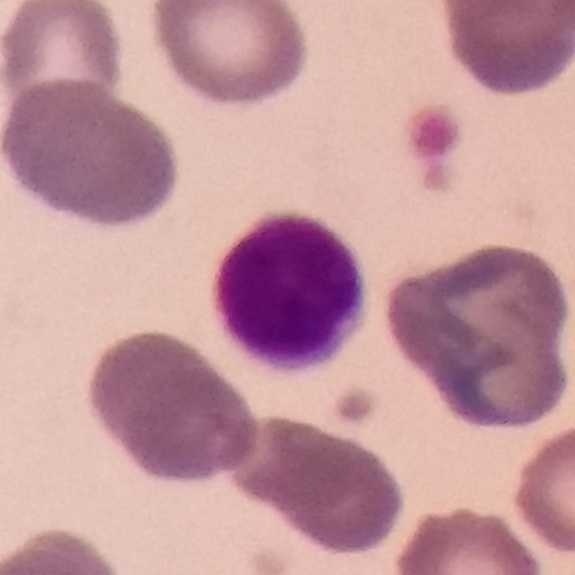{"cell_type": "lymphocyte"}